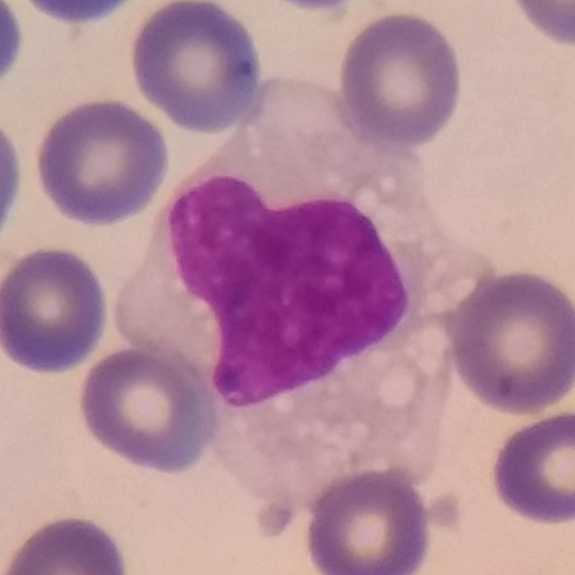
Specimen: peripheral blood smear.
White blood cell type: monocyte.